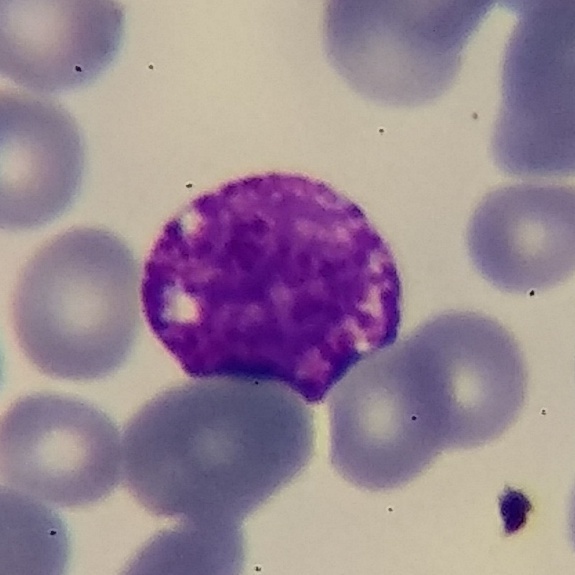Specimen: peripheral blood film.
Classification: basophil.